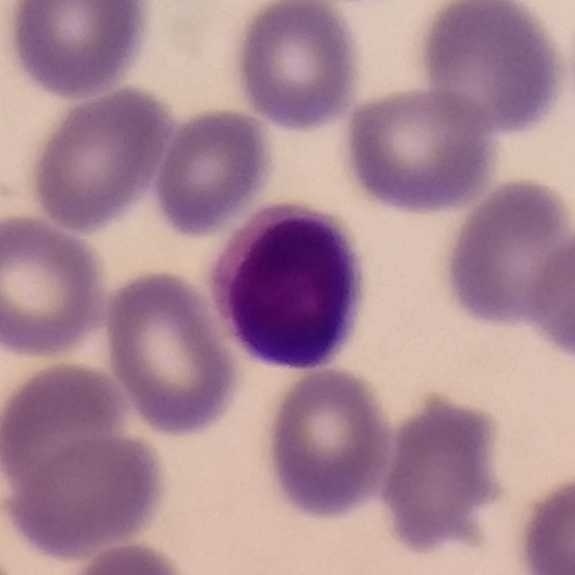

Image: Peripheral blood film.

Morphology — lymphocyte.